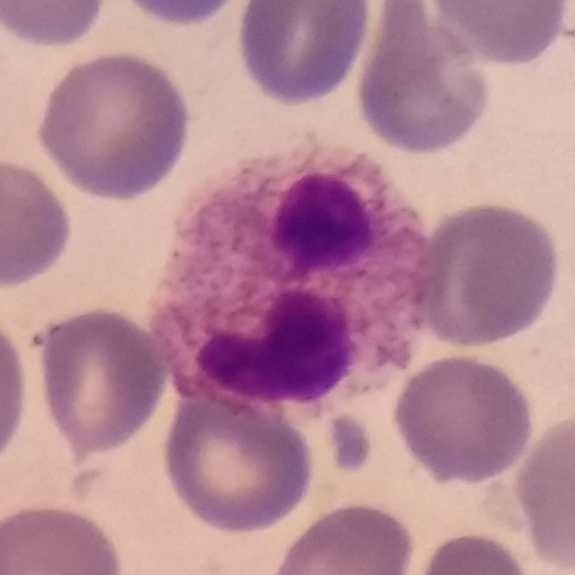

The cell shown is a neutrophil granulocyte.